Peripheral blood film. Imaged at 100×. Single-cell crop:
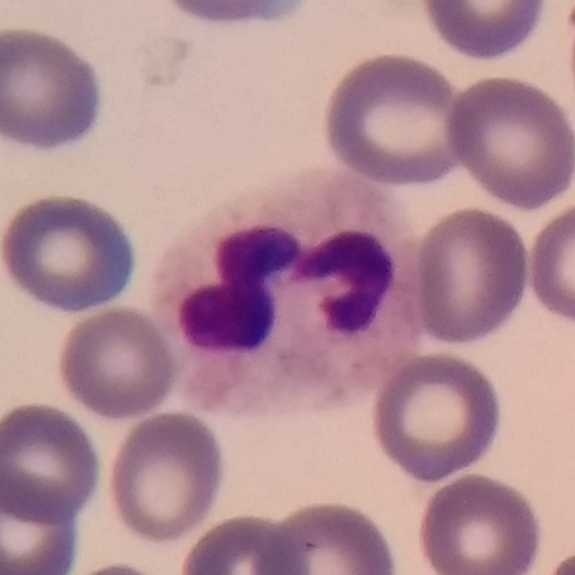Identified as a neutrophil granulocyte.